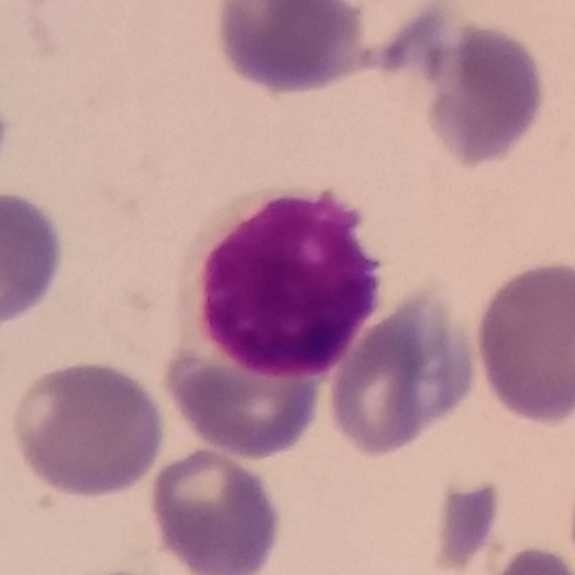
Single-cell crop from a peripheral blood smear: lymphocyte.